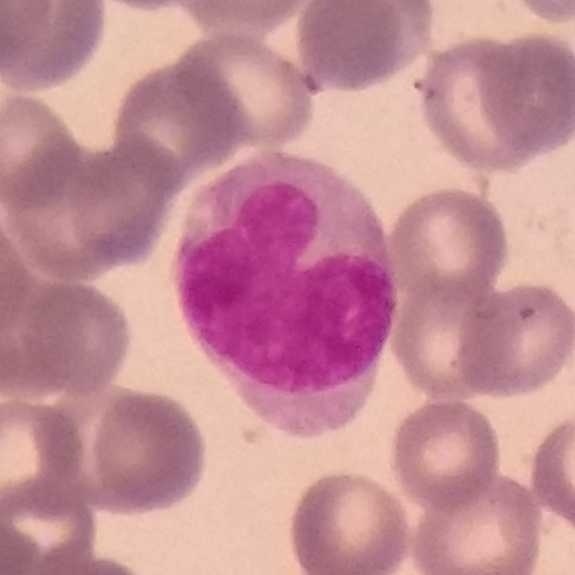
Acquisition: Peripheral blood smear.

Cell type: monocyte.